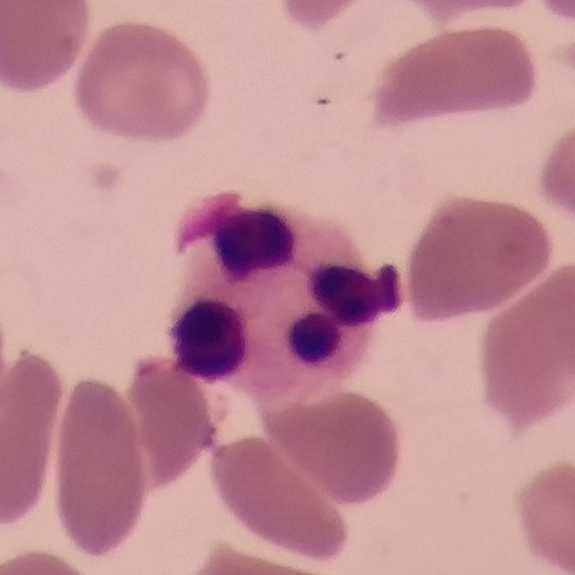 Morphology consistent with a neutrophil granulocyte.

Context: Peripheral blood smear.